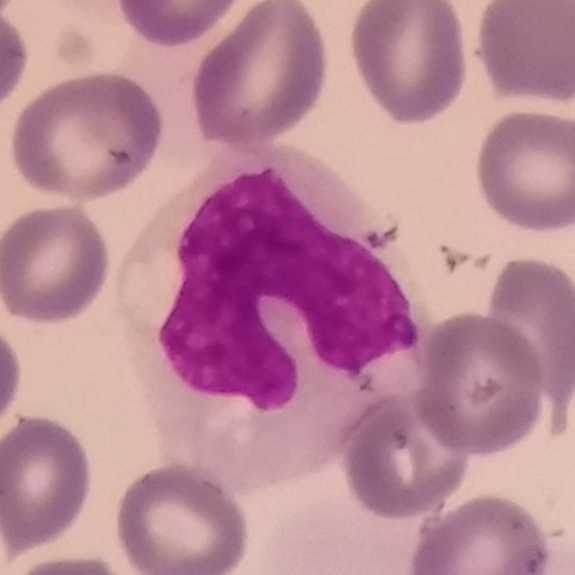

Identified as a monocyte.

Acquisition: Single white blood cell cropped from the smear photograph. Peripheral blood smear. Smartphone camera mounted on the microscope eyepiece.